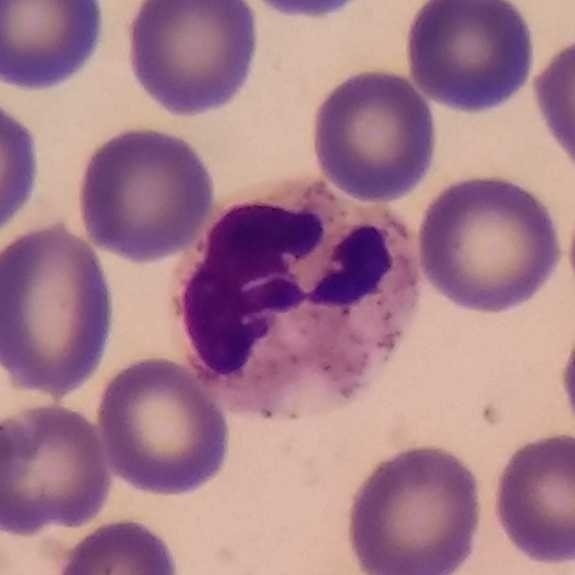

Preparation: Peripheral blood smear. Identified as a neutrophil.